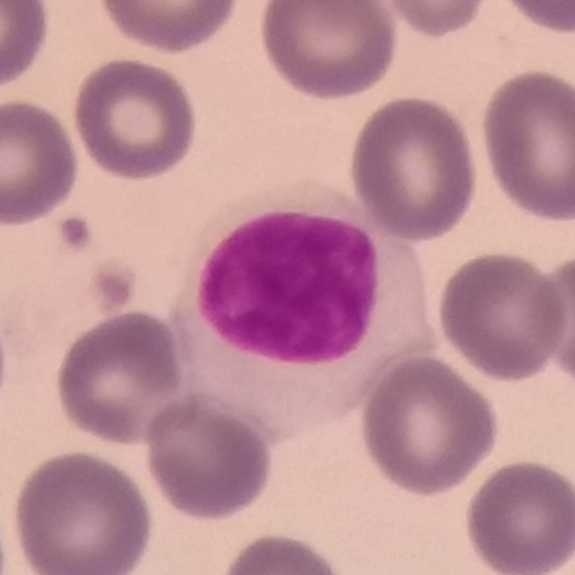

The cell shown is a lymphocyte.

Preparation: Single-cell field · peripheral blood smear · smartphone photomicrograph.